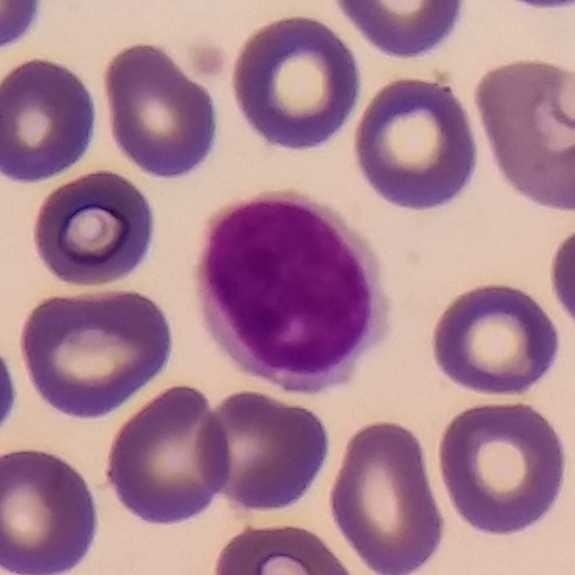A lymphocyte.